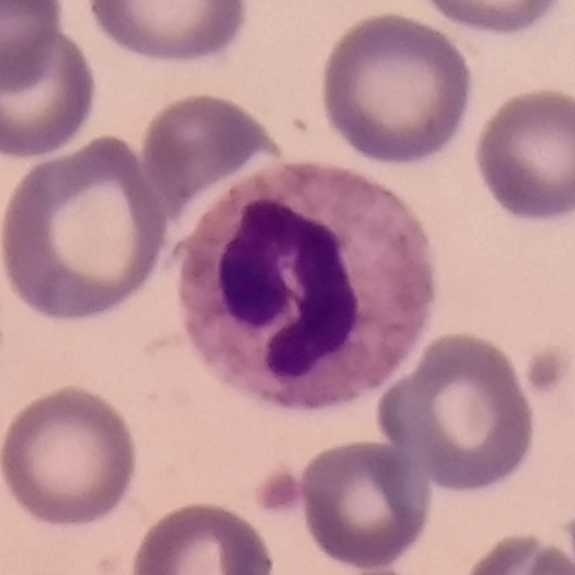

From a peripheral blood smear: a neutrophilic granulocyte.